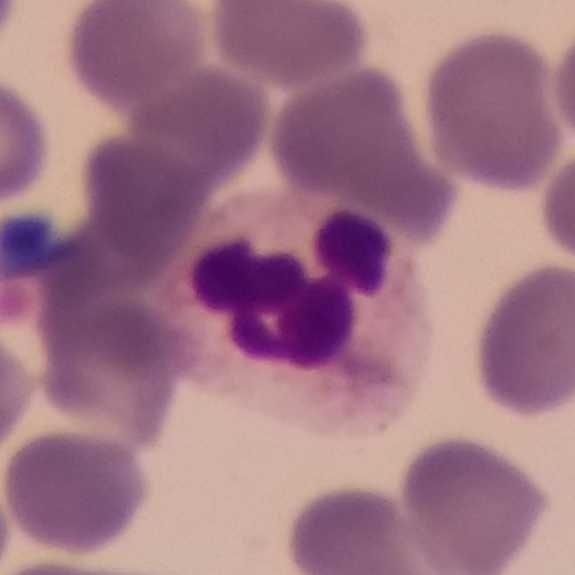The white blood cell type is neutrophil. Context: Peripheral blood film.